Peripheral blood smear — 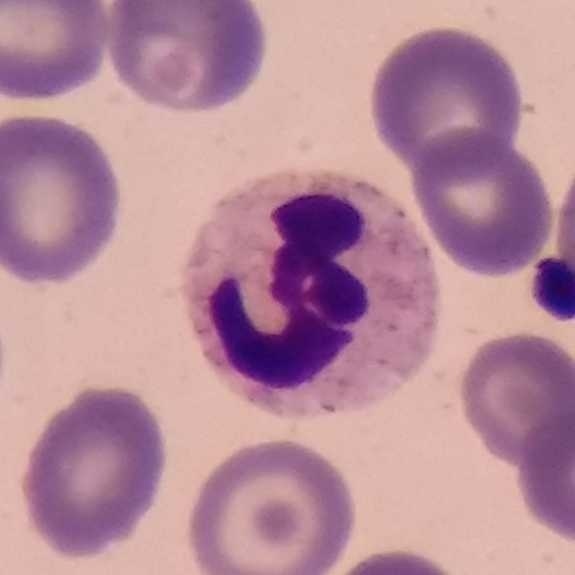
The classification is neutrophilic granulocyte.